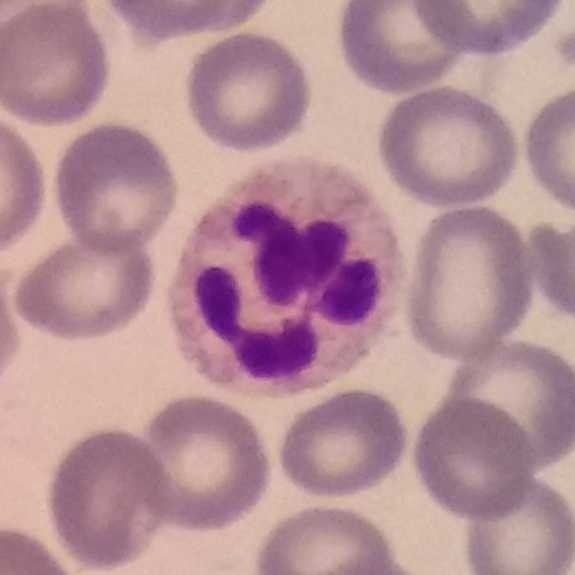 Acquisition: Peripheral blood film. Morphology consistent with a neutrophil granulocyte.